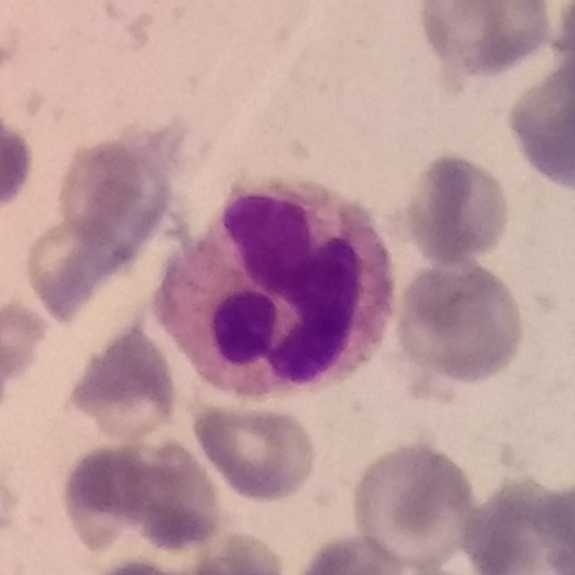 The white blood cell in this image is a neutrophil granulocyte.